Peripheral blood film:
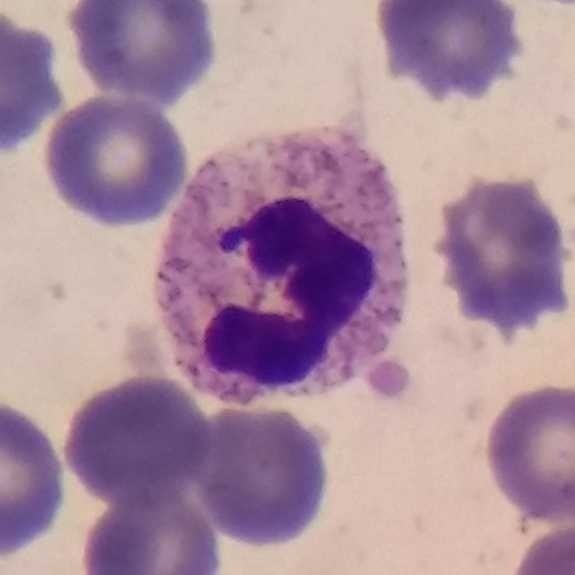A neutrophilic granulocyte.